Peripheral blood smear. Stained with Giemsa
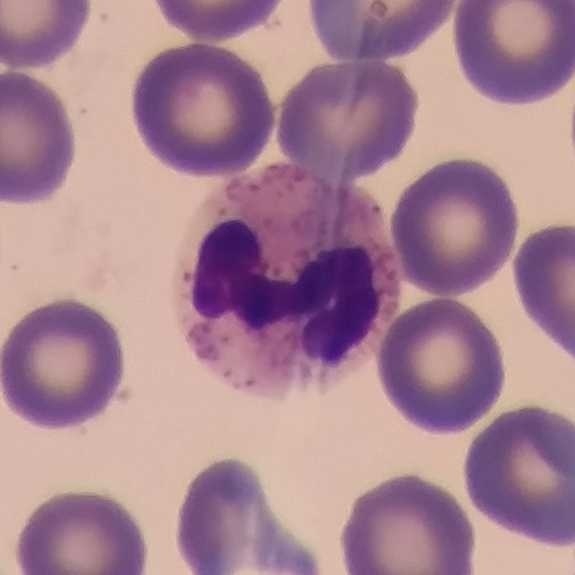

Showing a neutrophil granulocyte.